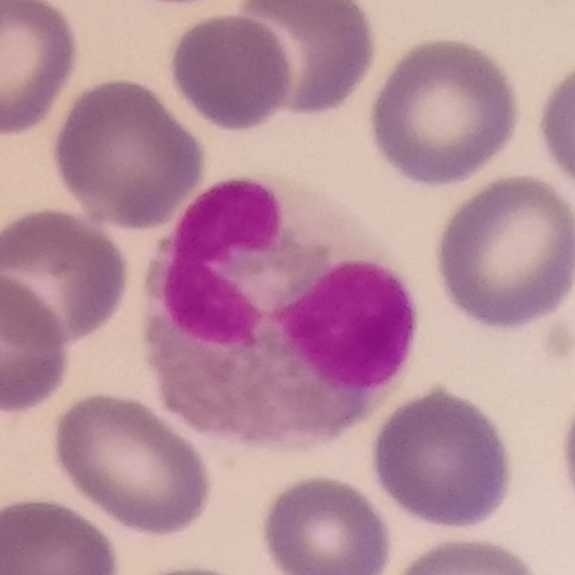 Identified as an eosinophilic granulocyte.

Acquisition: Peripheral blood film; 100× magnification.